Peripheral blood film — 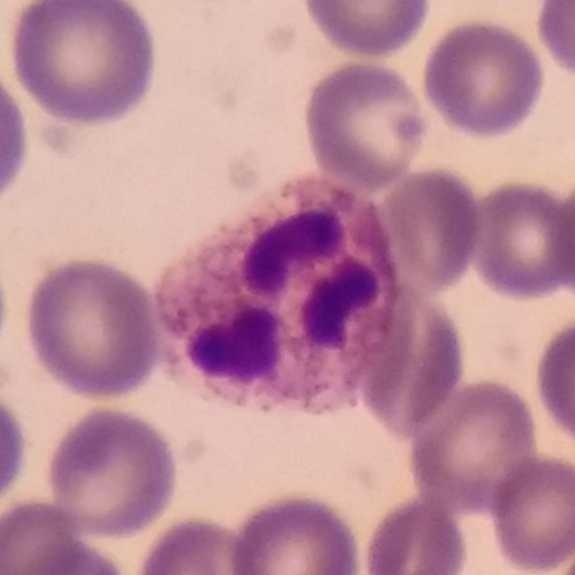
{"cell_type": "neutrophil granulocyte", "lineage": "myeloid"}